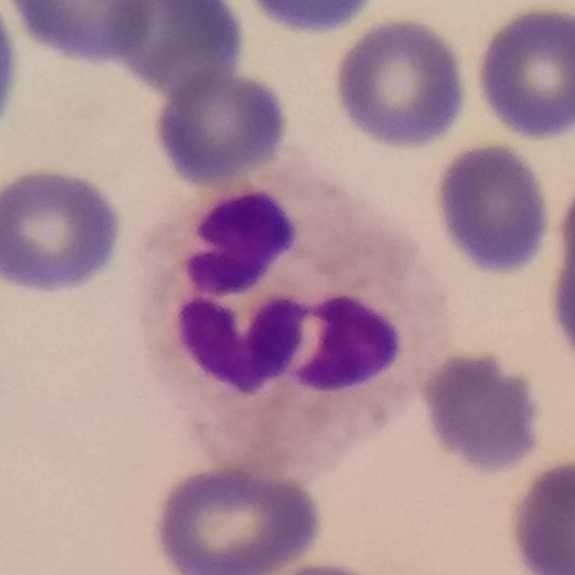The morphological class is neutrophilic granulocyte.
Acquisition: Peripheral blood film.